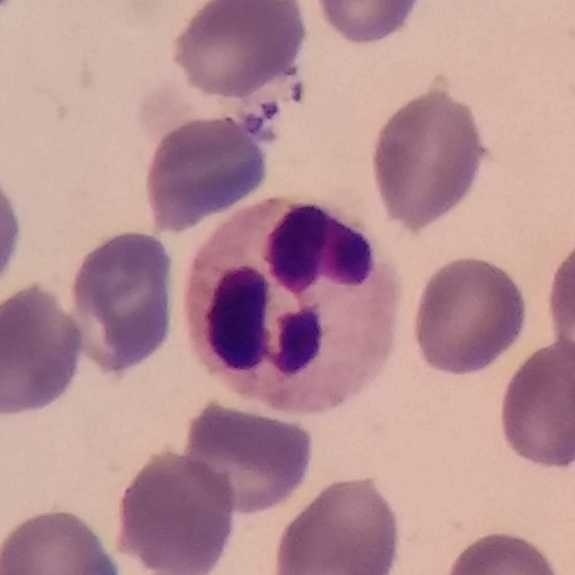

Morphology consistent with a neutrophil granulocyte.
Acquisition: Peripheral blood smear.